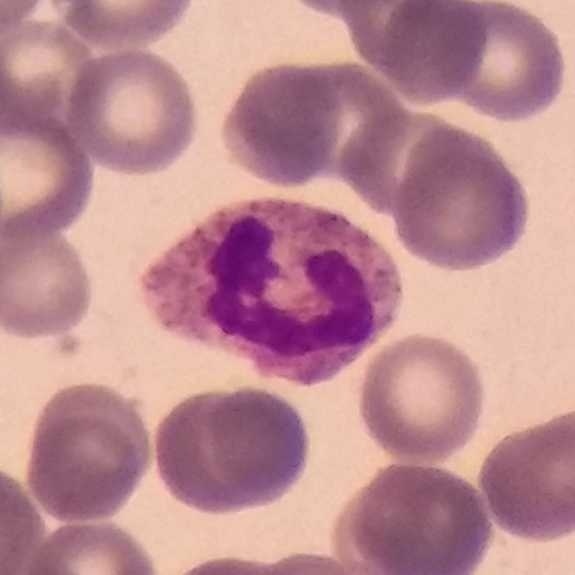

The white blood cell in this image is a neutrophilic granulocyte.